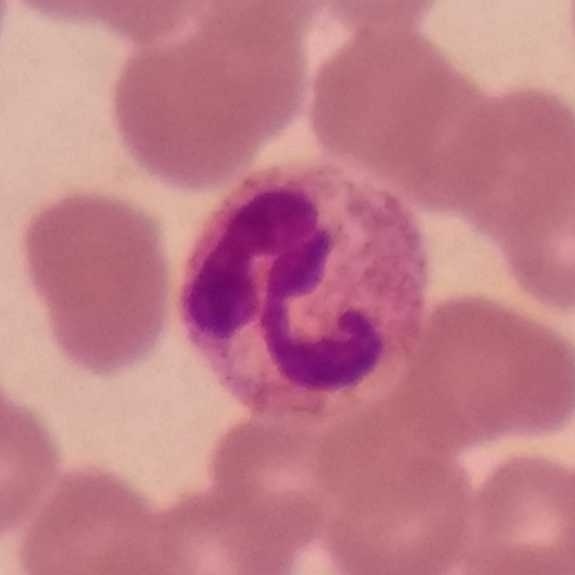

Cell type — neutrophil. Peripheral blood smear.